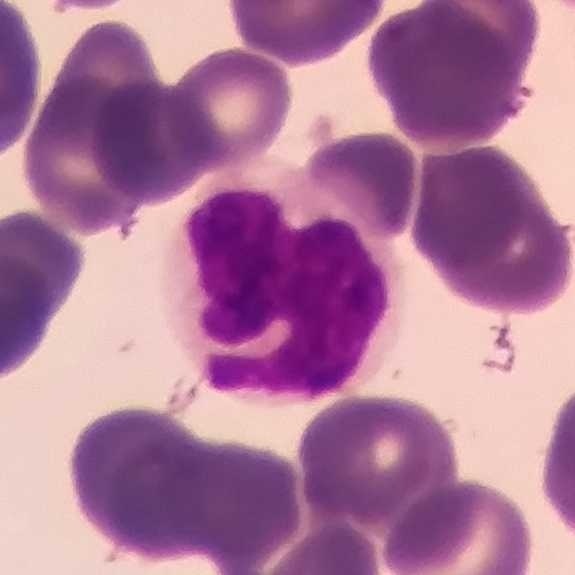 {"cell_type": "monocyte"}